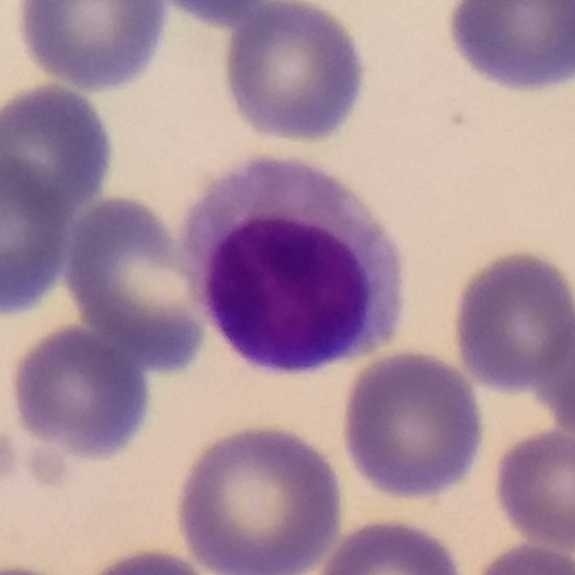
{"cell_type": "lymphocyte"}
Image: Peripheral blood film; single-cell field.